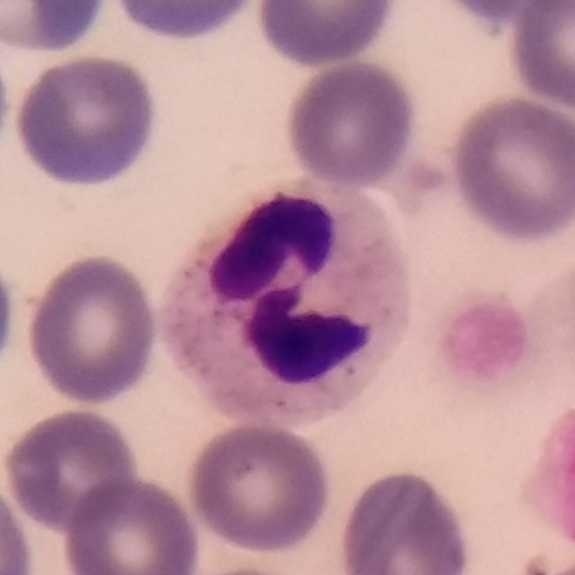

Peripheral blood film, single cell — neutrophilic granulocyte.